Smartphone camera mounted on the microscope eyepiece. Peripheral blood film.
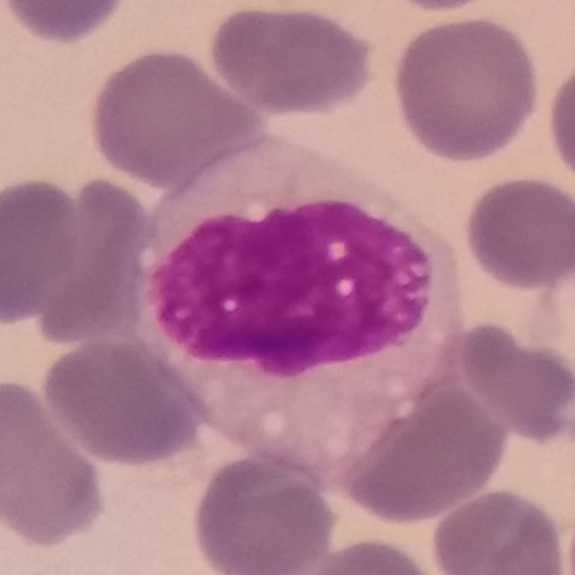Classification: monocyte.